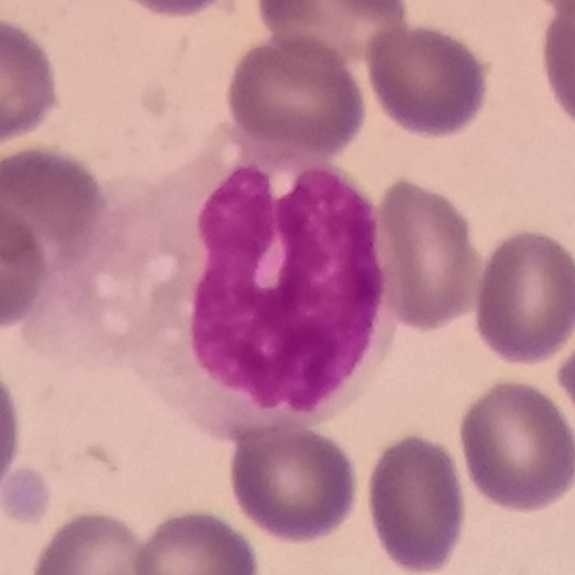Acquisition: Peripheral blood film · Giemsa stain · imaged at 100×. White blood cell type: monocyte.